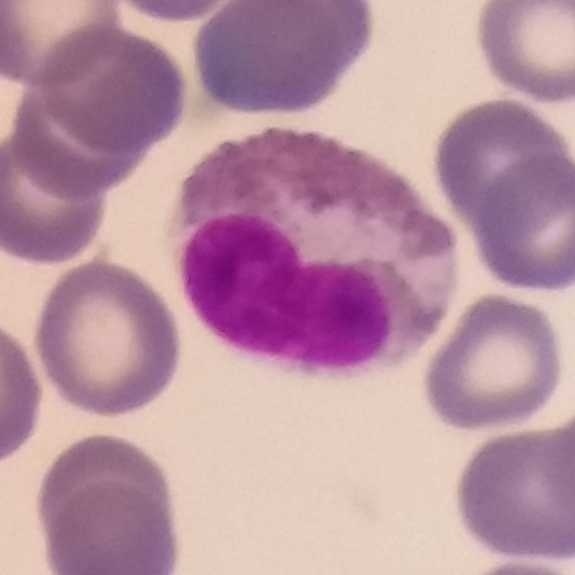 Eosinophil.

Context: Peripheral blood smear.